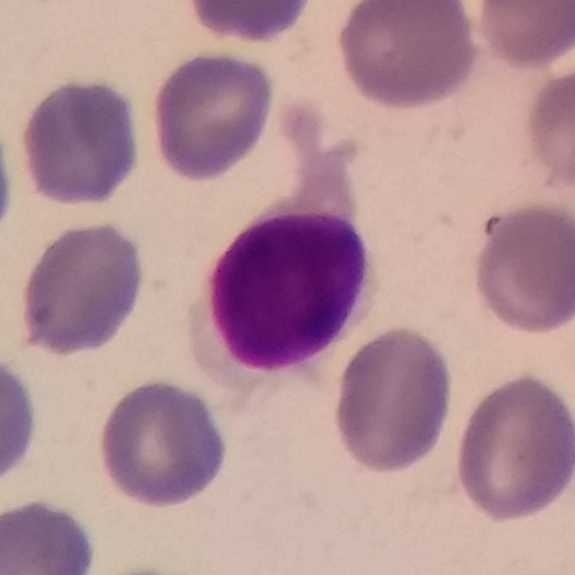 Image: Image size 575×575 · 100× magnification · peripheral blood smear. Q: Identify the cell.
A: This is a lymphocyte.